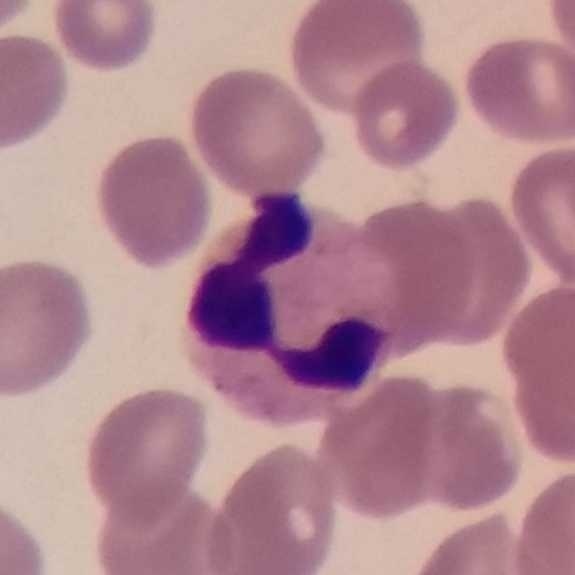 Preparation: Peripheral blood smear · imaged at 100×.

Single cell identified as a neutrophilic granulocyte.